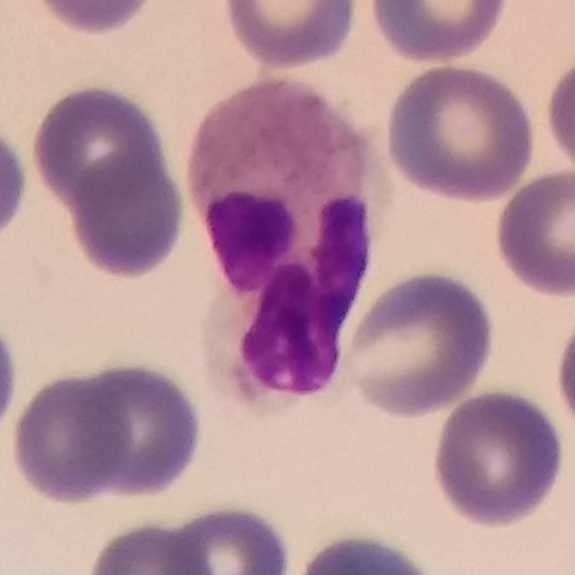 Peripheral blood smear. Single white blood cell cropped from the smear photograph.

Neutrophilic granulocyte.